575 by 575 pixels; single white blood cell cropped from the smear photograph; peripheral blood film:
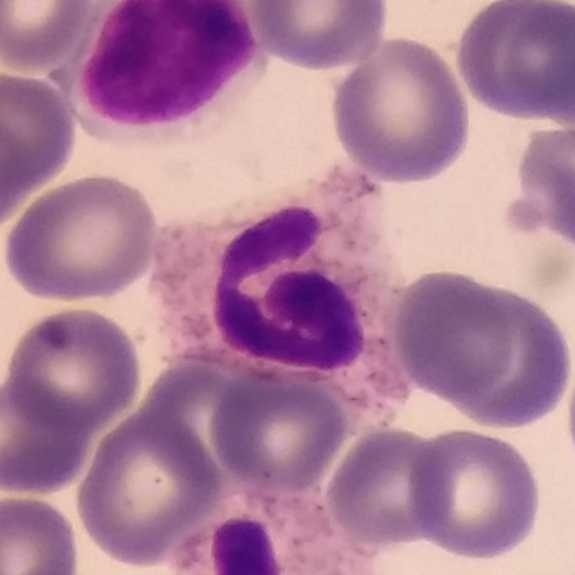Identified as a neutrophilic granulocyte.